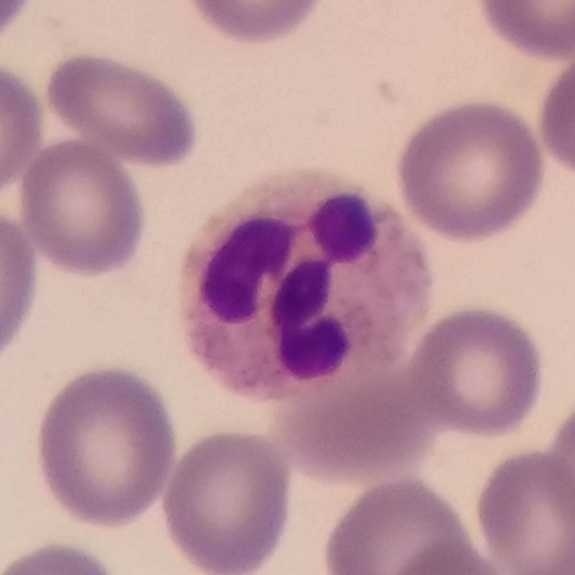 Q: What is the morphological classification of this cell?
A: It is a neutrophilic granulocyte.